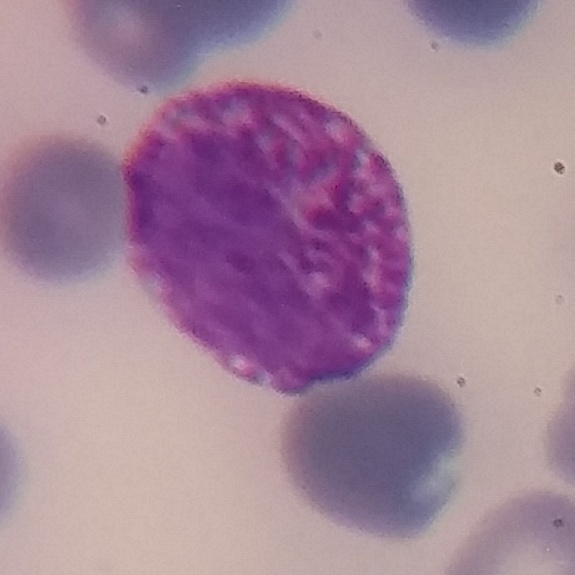

White blood cell type — basophilic granulocyte.

Peripheral blood film.